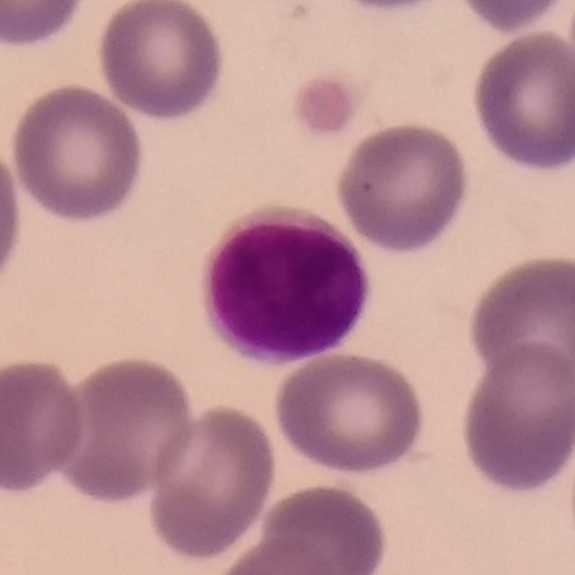

Q: What is the morphological classification of this cell?
A: A lymphocyte.